Single white blood cell cropped from the smear photograph; peripheral blood smear:
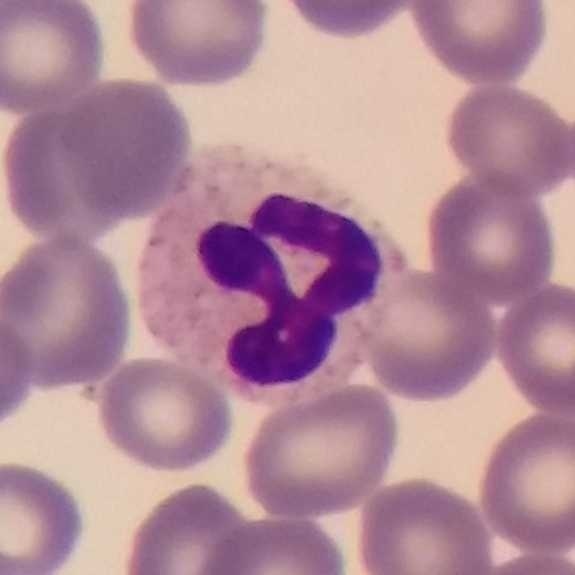
Q: Identify the cell.
A: It is a neutrophilic granulocyte.